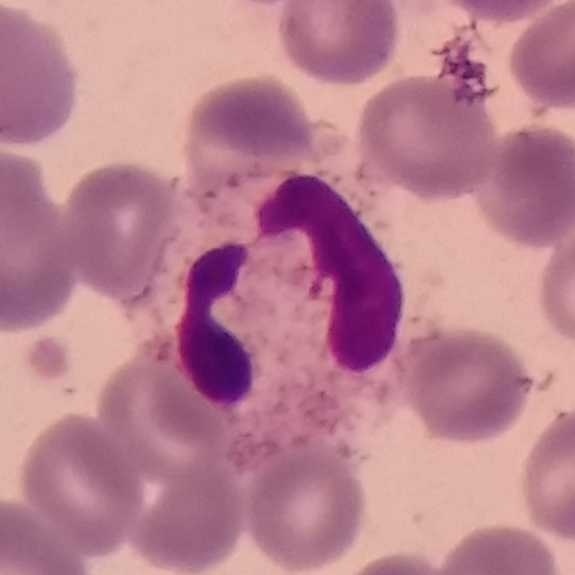Morphology — neutrophil granulocyte.
Image: 575×575; peripheral blood smear.